Peripheral blood film. Cropped to one leukocyte — 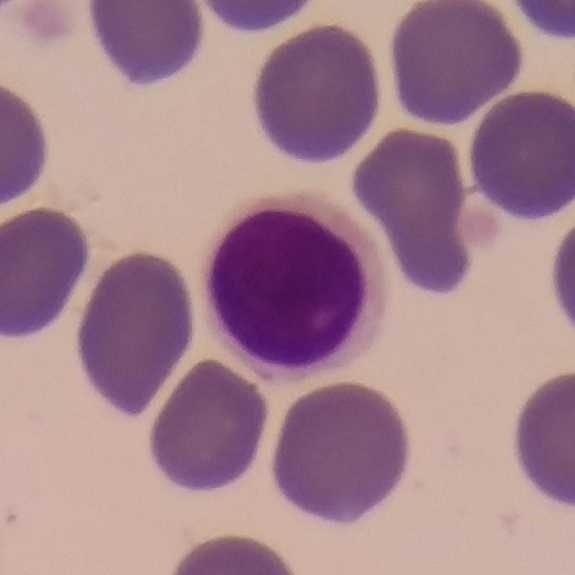

The cell shown is a lymphocyte.